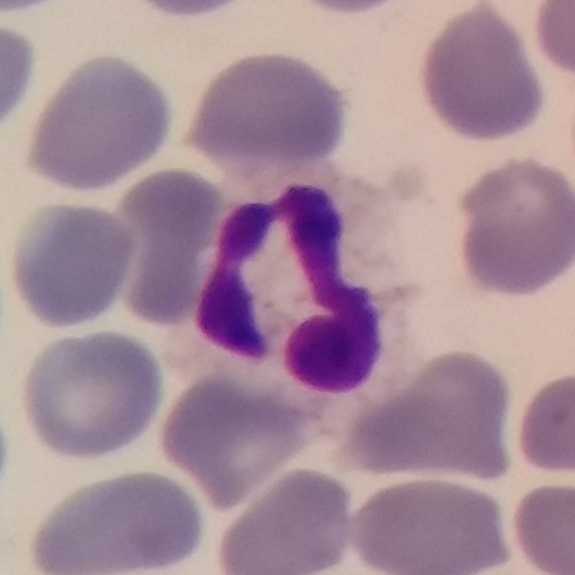The white blood cell type is neutrophil.
Peripheral blood film; single-cell crop.